Peripheral blood film. Single white blood cell cropped from the smear photograph: 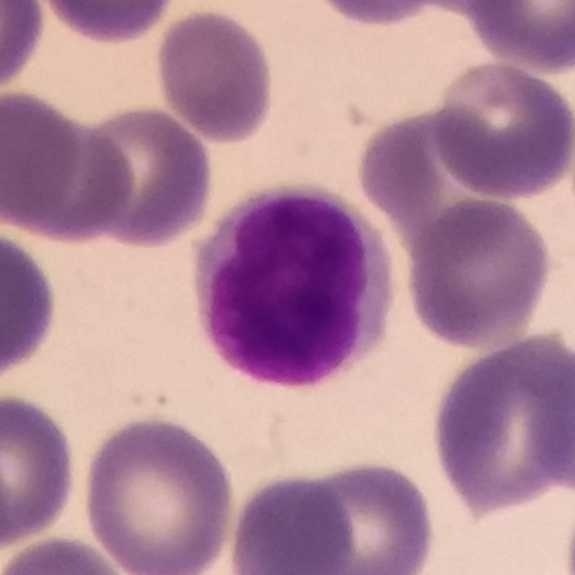
Q: What type of cell is this?
A: It is a lymphocyte.